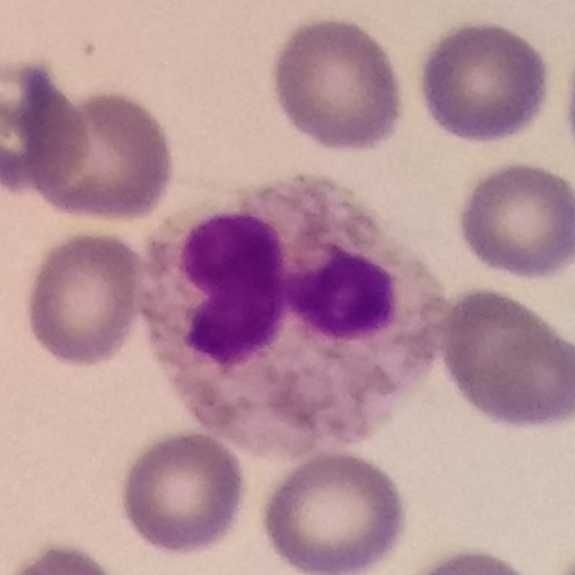Morphology → neutrophil.